Peripheral blood film.
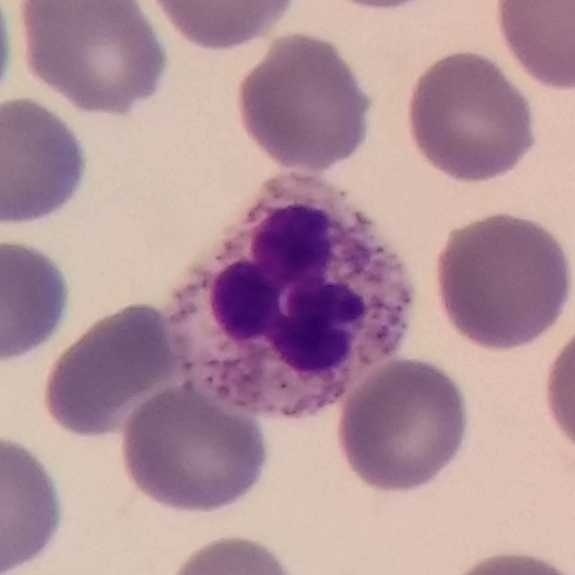
The cell shown is a neutrophil granulocyte.